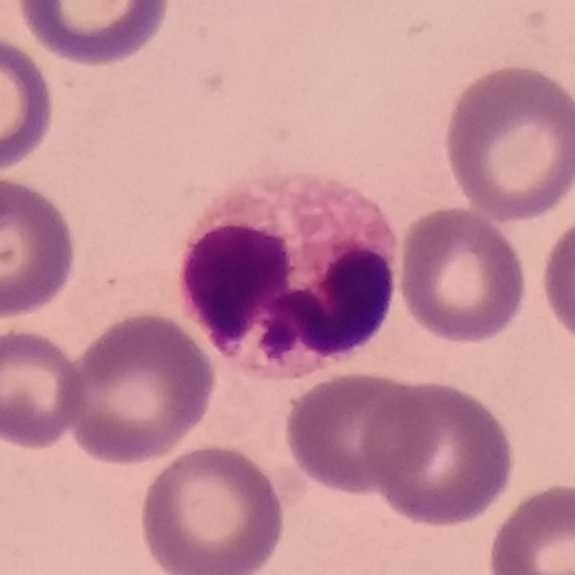Morphology consistent with a neutrophil.